Peripheral blood smear; magnification 100×: 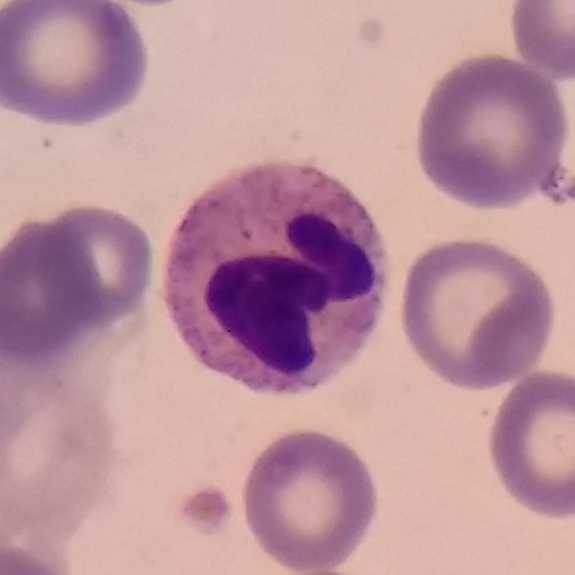 Cell — neutrophilic granulocyte.